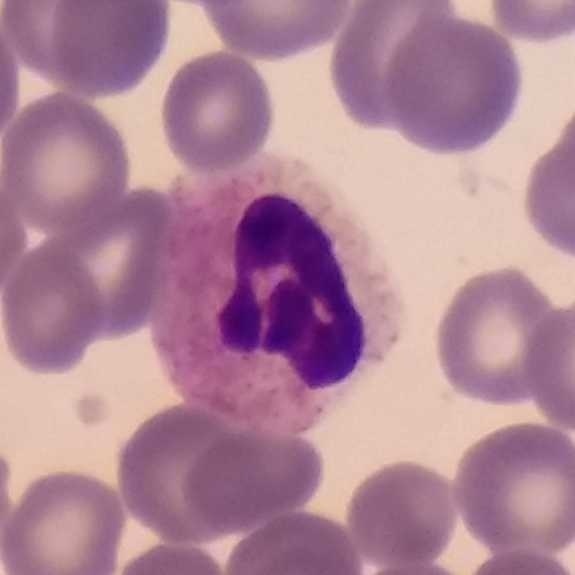 Preparation: Peripheral blood film.

Q: Identify the cell.
A: Neutrophil.